Peripheral blood film.
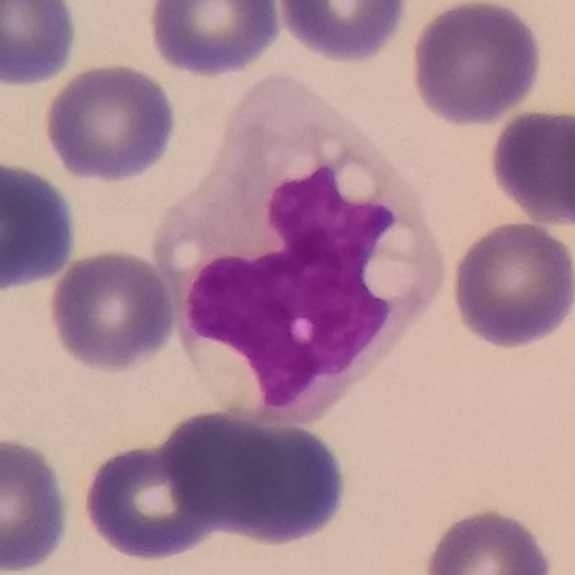 The cell shown is a monocyte.